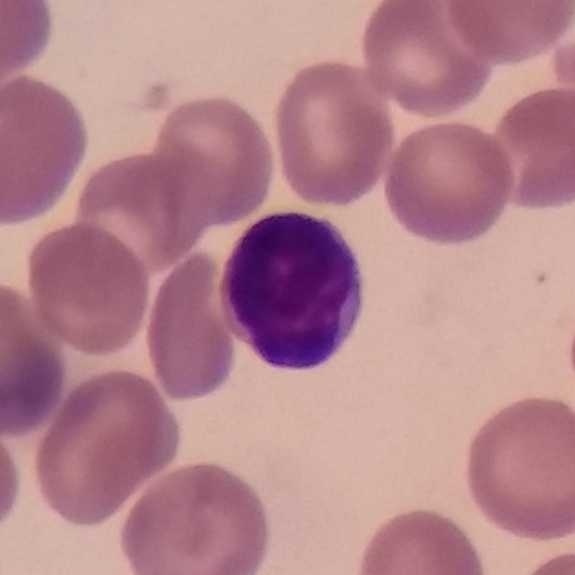 Peripheral blood film.
Morphological class — lymphocyte.